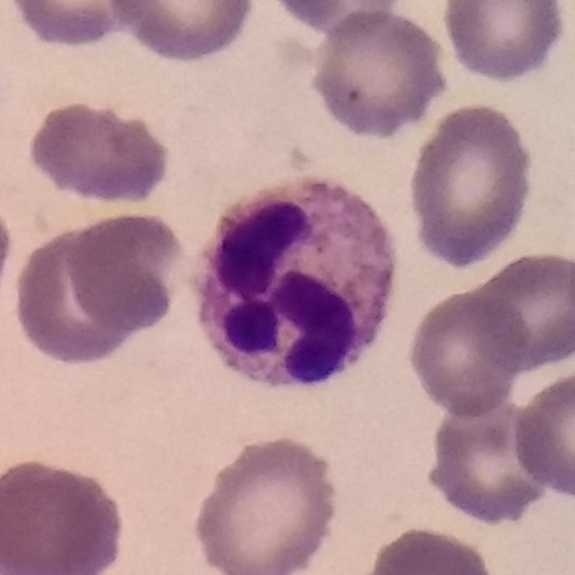

This is a neutrophil granulocyte. Image: Peripheral blood smear.